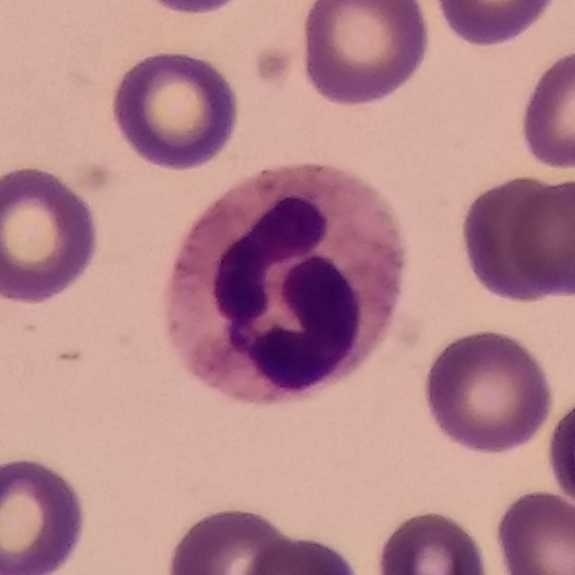
Preparation: Peripheral blood film.

Classification — neutrophil.